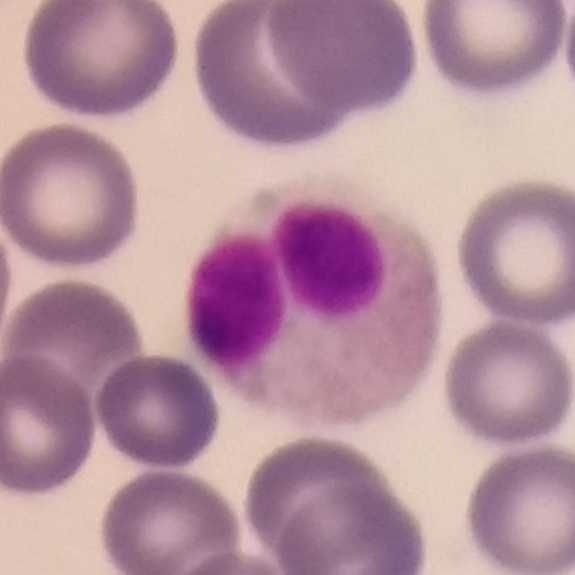
Morphology — eosinophil. Acquisition: Peripheral blood smear.